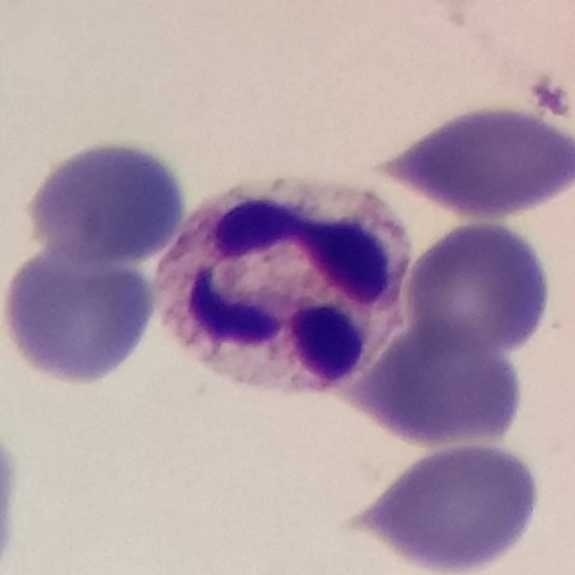
Q: What type of cell is this?
A: This is a neutrophil.